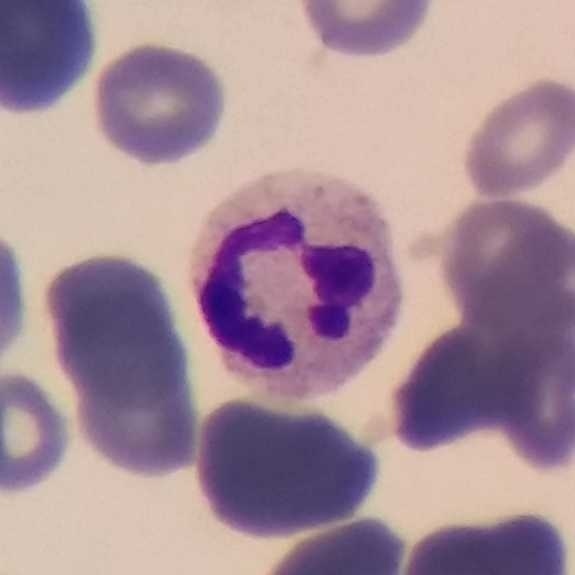

Preparation: Single-cell crop. Phone-camera image taken through the microscope ocular. Peripheral blood film. Q: What is this?
A: It is a neutrophil.